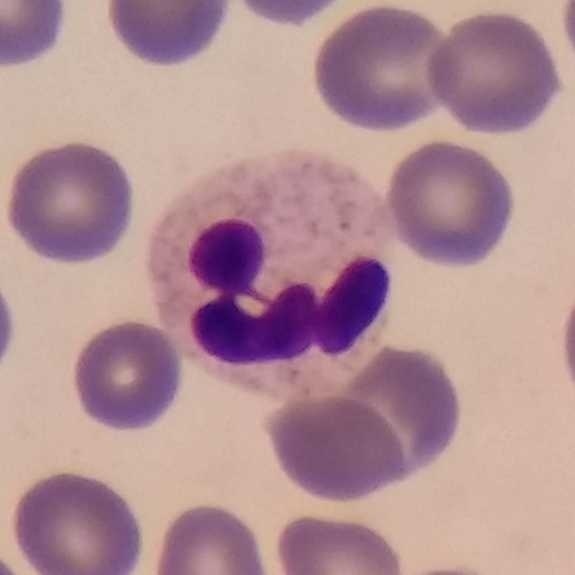{"cell_type": "neutrophil", "lineage": "myeloid"}